Peripheral blood film; single-cell field; 575×575
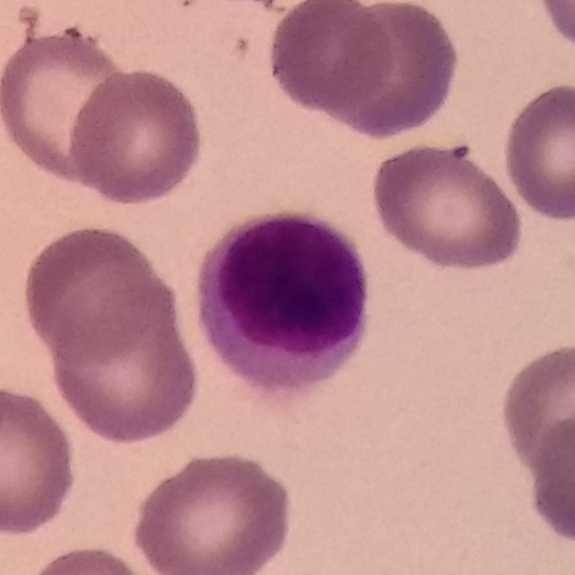 The cell is lymphocyte.